Peripheral blood smear · single-cell crop · image size 575×575 — 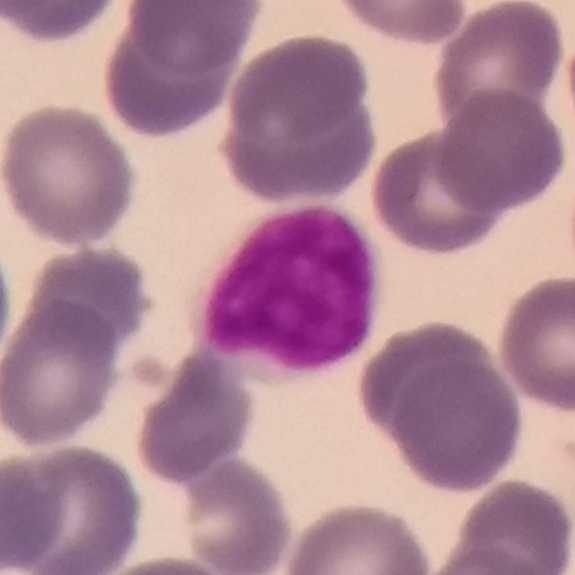 Specimen: peripheral blood film.
Morphological class: lymphocyte.
Lineage: lymphoid.